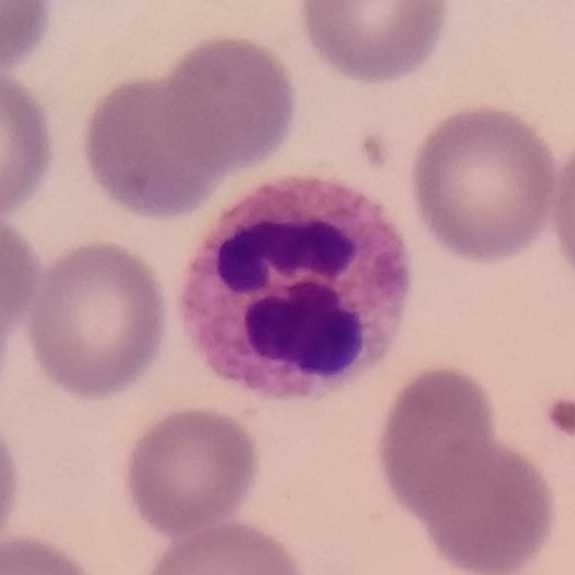 Q: What cell is this?
A: A neutrophil granulocyte.
Peripheral blood smear. Stained with Giemsa.